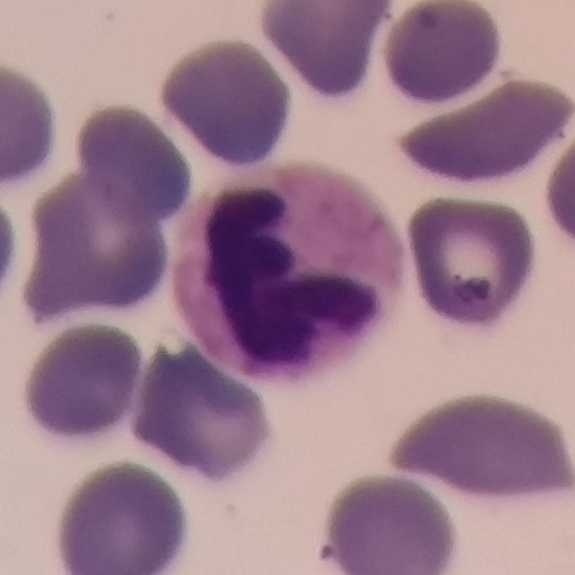

Image: Imaged at 100×. Peripheral blood film.

The morphological class is neutrophil.